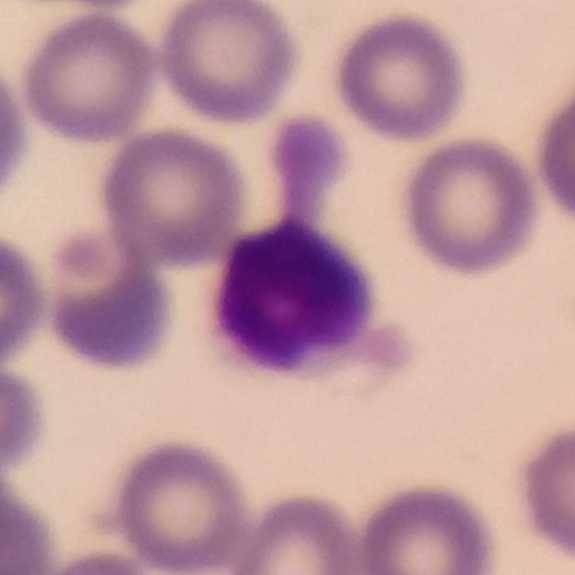

Morphology → lymphocyte.
Single white blood cell cropped from the smear photograph. Peripheral blood film. Photographed through a light microscope with a smartphone camera.